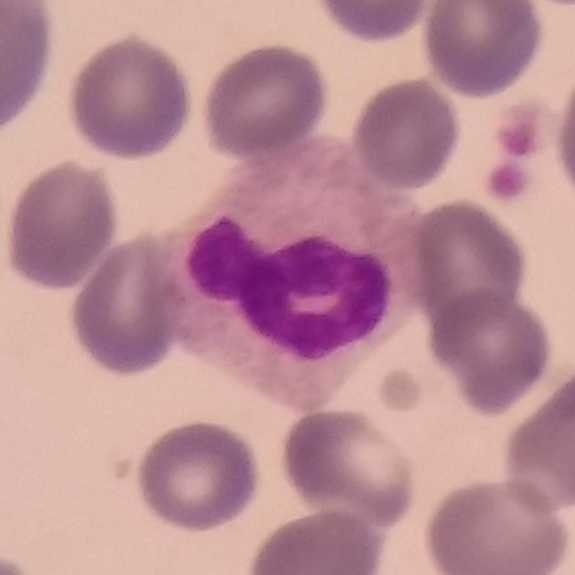 Single white blood cell cropped from the smear photograph. Peripheral blood film. Smartphone photomicrograph.

The white blood cell in this image is a neutrophil granulocyte.